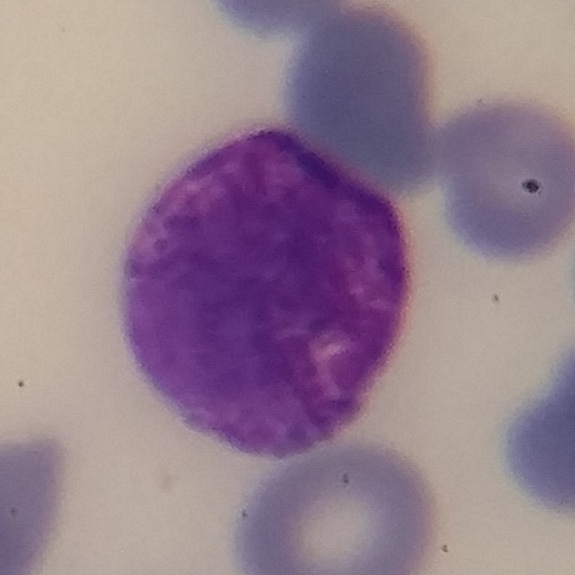{"cell_type": "basophil", "lineage": "myeloid"}